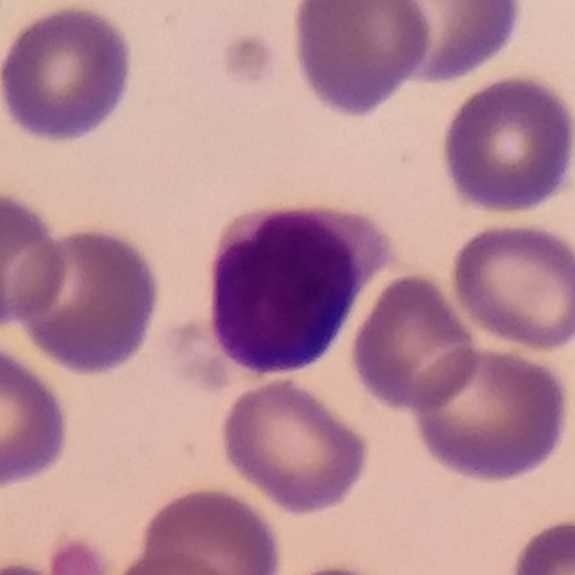Preparation: Peripheral blood smear.

Q: What cell is this?
A: Lymphocyte.